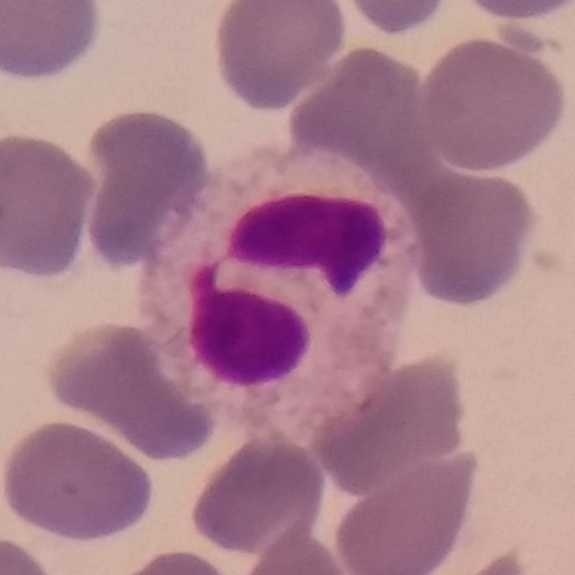 Image: 100× magnification · peripheral blood film.

The classification is neutrophil granulocyte.